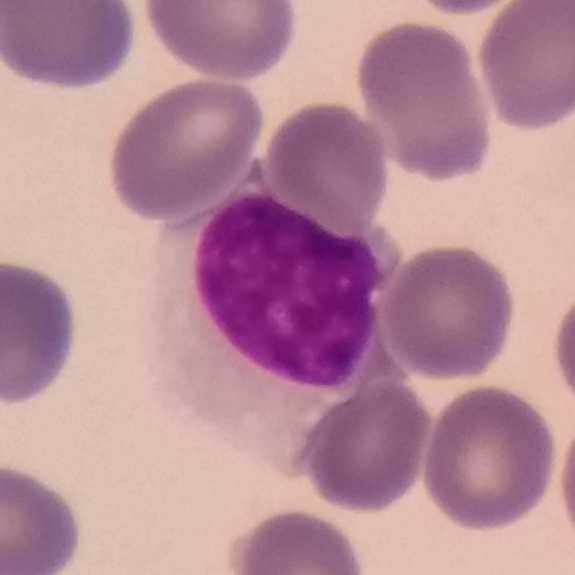Peripheral blood smear. Single cell identified as a lymphocyte.